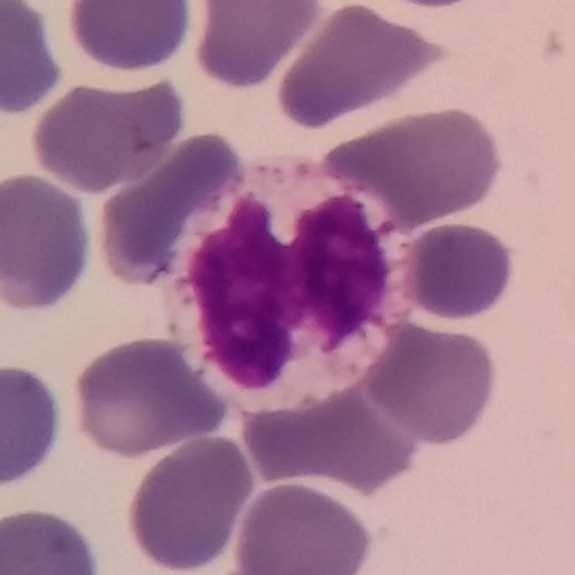
From a peripheral blood smear: a neutrophil.